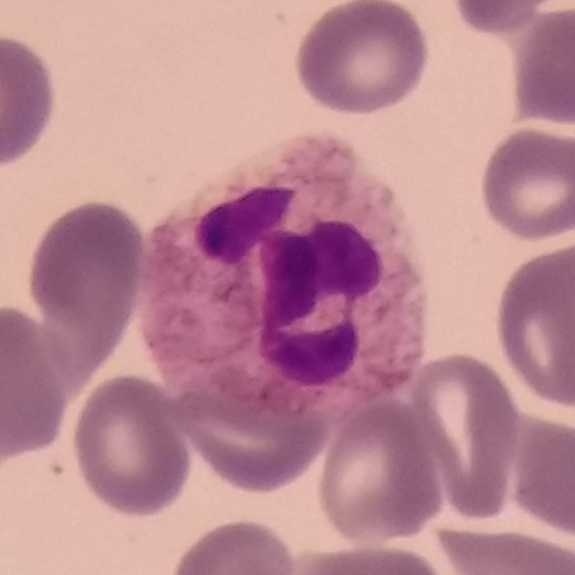
Morphology consistent with a neutrophil.